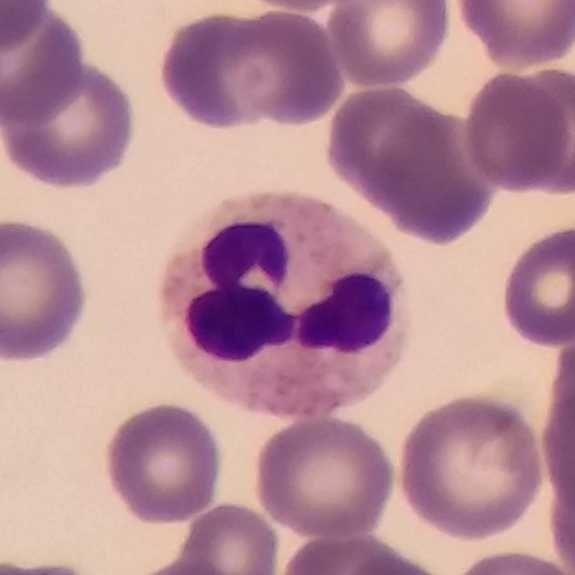White blood cell type — neutrophil granulocyte.
Preparation: Peripheral blood smear.